Peripheral blood smear; stained with Giemsa; imaged at 100× — 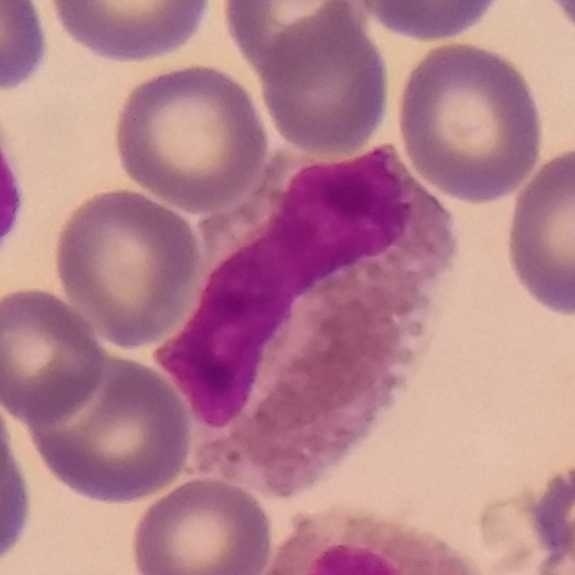

Q: What cell is this?
A: An eosinophilic granulocyte.